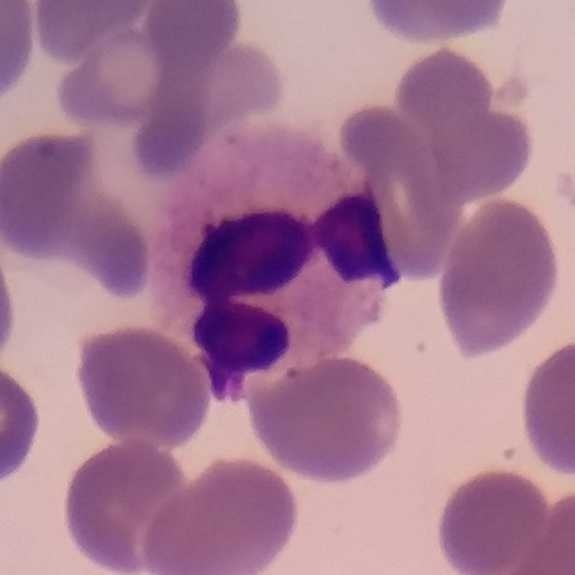
Preparation: Peripheral blood smear.

Identified as a neutrophil.